Peripheral blood smear.
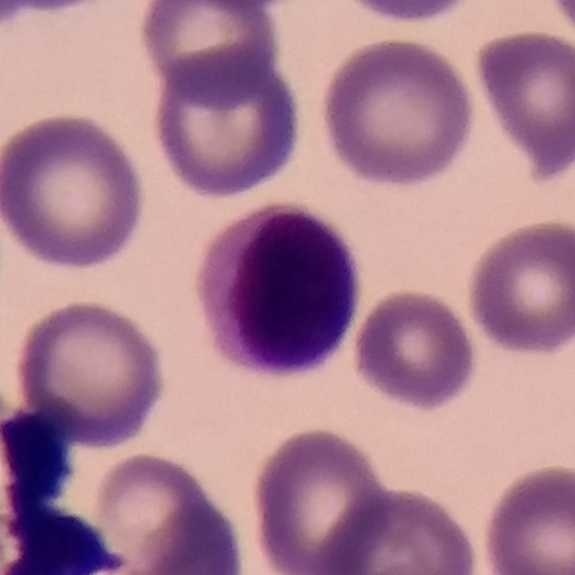 Cell: lymphocyte.